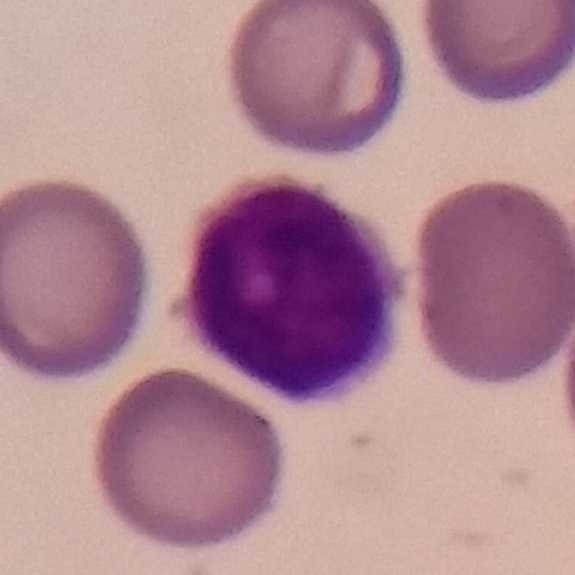
Q: What type of cell is this?
A: It is a lymphocyte.